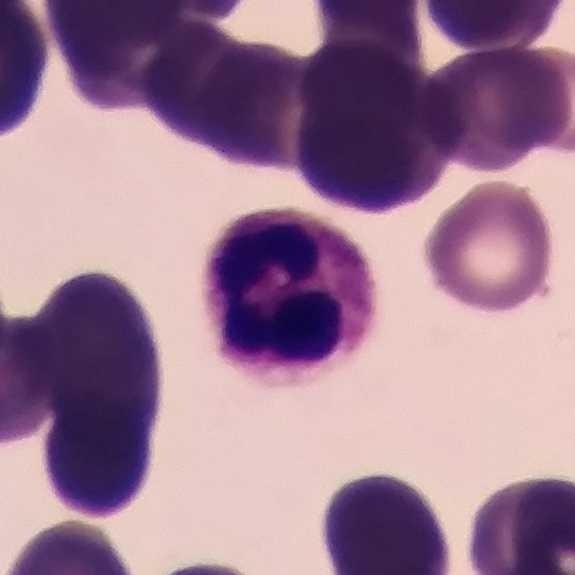
Acquisition: Smartphone photomicrograph; peripheral blood film. The cell is neutrophil granulocyte.